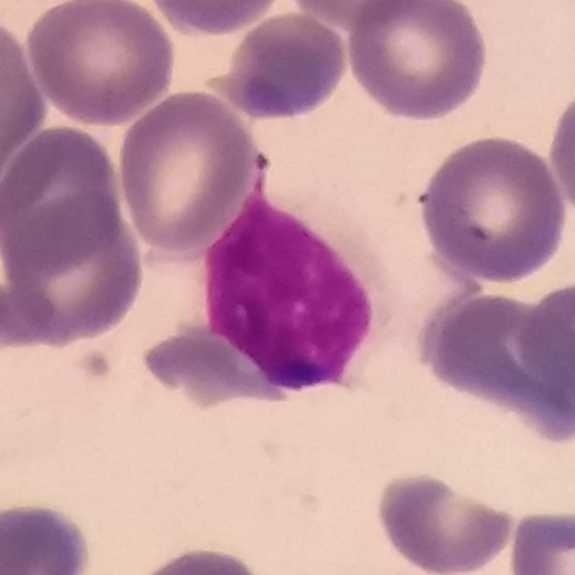

White blood cell type: lymphocyte.
Acquisition: Peripheral blood smear.